Giemsa-stained. Peripheral blood smear
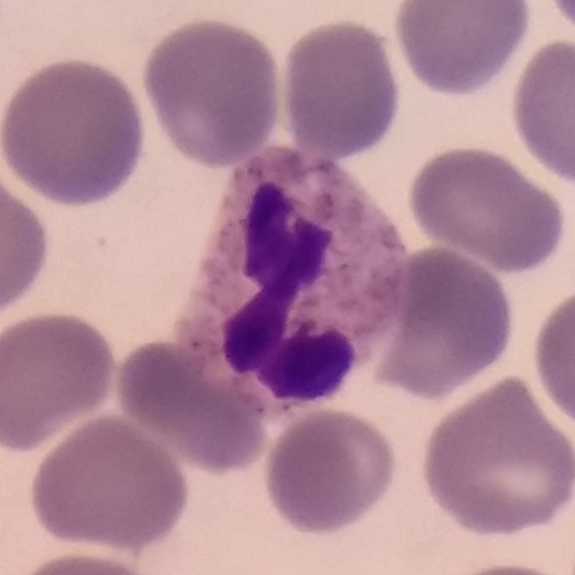Specimen: peripheral blood film.
Cell type: neutrophilic granulocyte.
Lineage: myeloid.